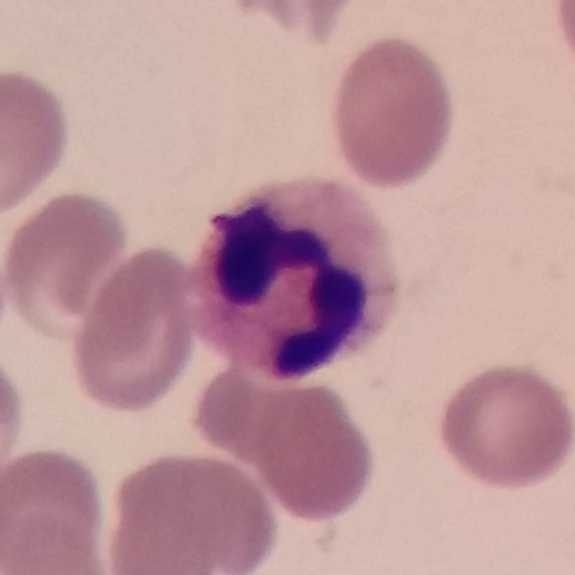
Classification — neutrophilic granulocyte.
Preparation: Peripheral blood smear.